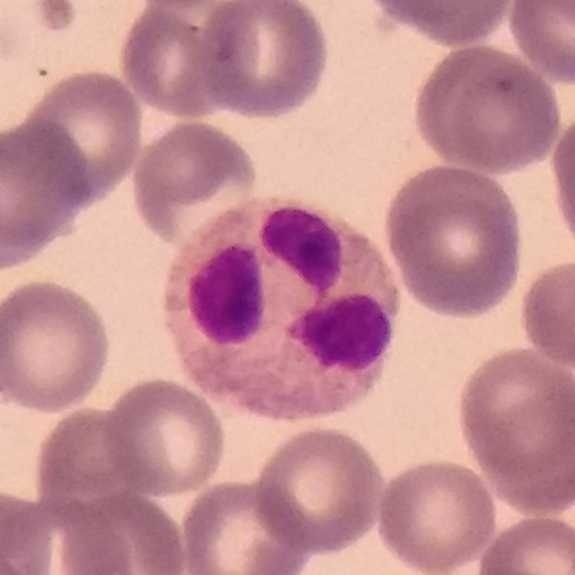
This is a neutrophil. Preparation: Peripheral blood film.